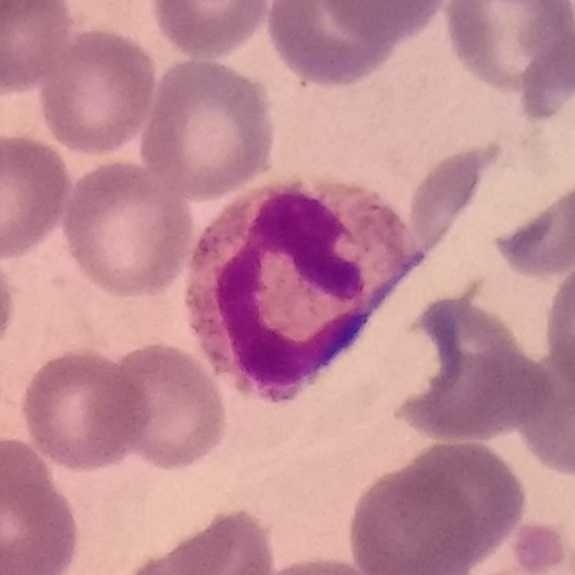
A neutrophil. Image: Single white blood cell cropped from the smear photograph · peripheral blood smear · 575×575 px.